Peripheral blood smear.
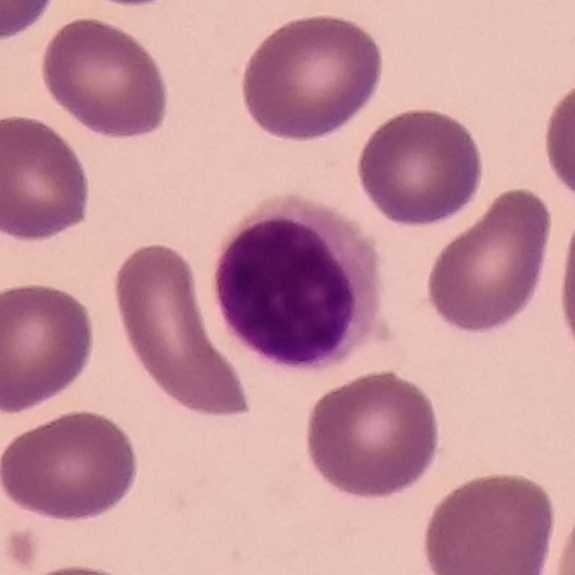

Cell type: lymphocyte.